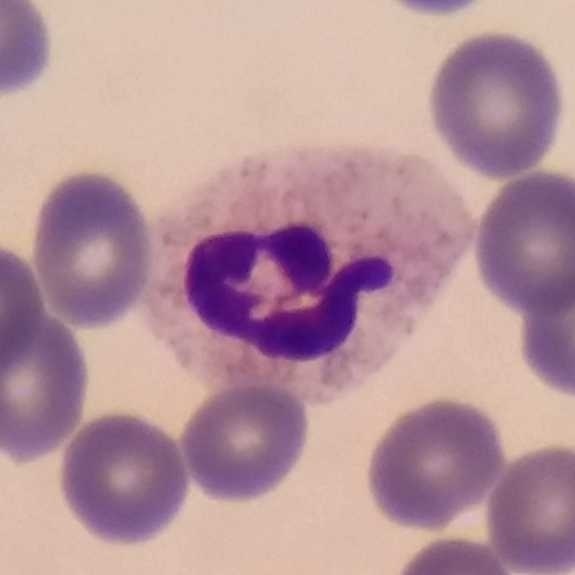
Image: Single-cell field; peripheral blood smear.
A neutrophil granulocyte.